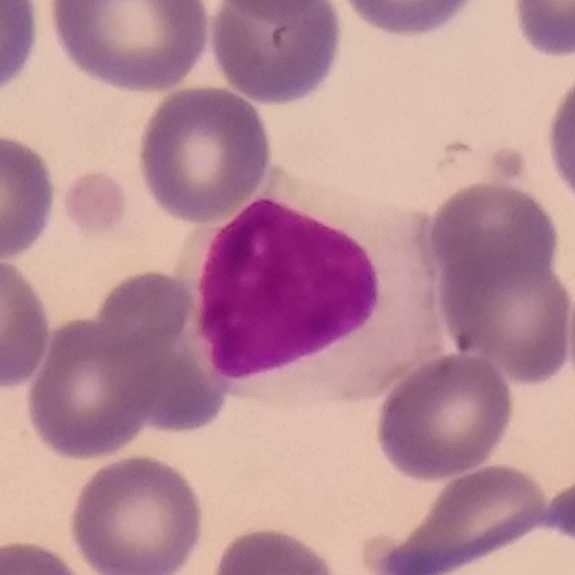The classification is lymphocyte.